Peripheral blood smear
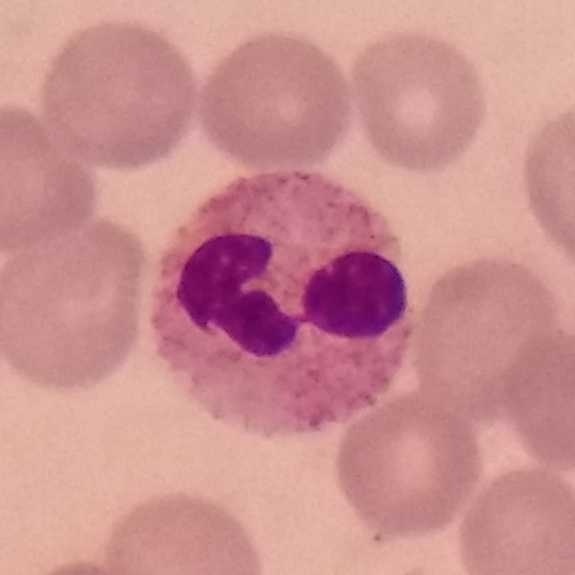 Cell type — neutrophilic granulocyte.